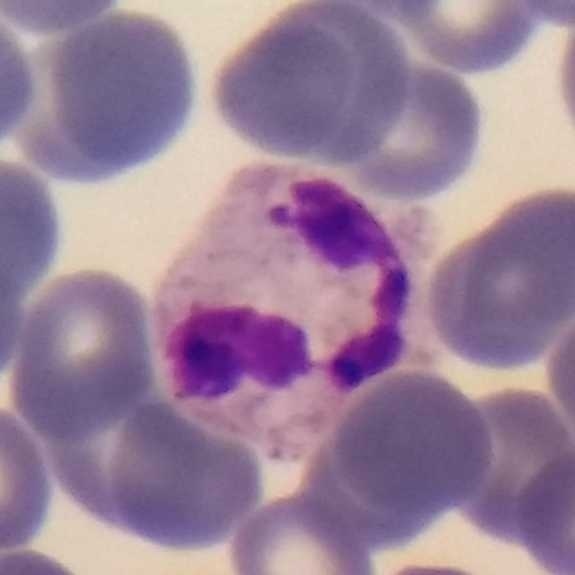
Cell: neutrophil.